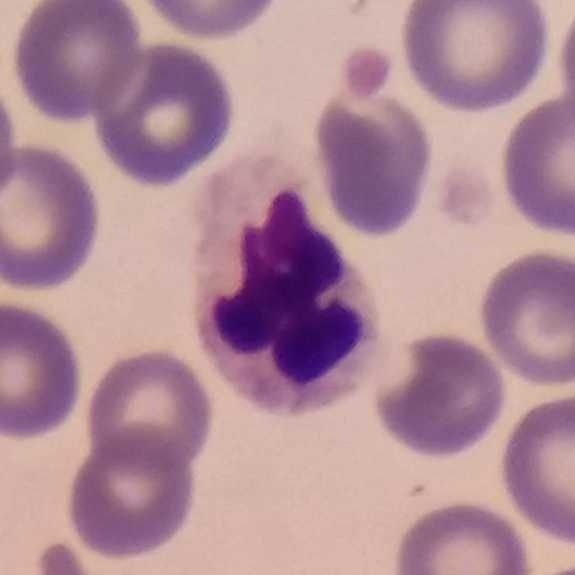Specimen: peripheral blood smear.
Classification: neutrophil.